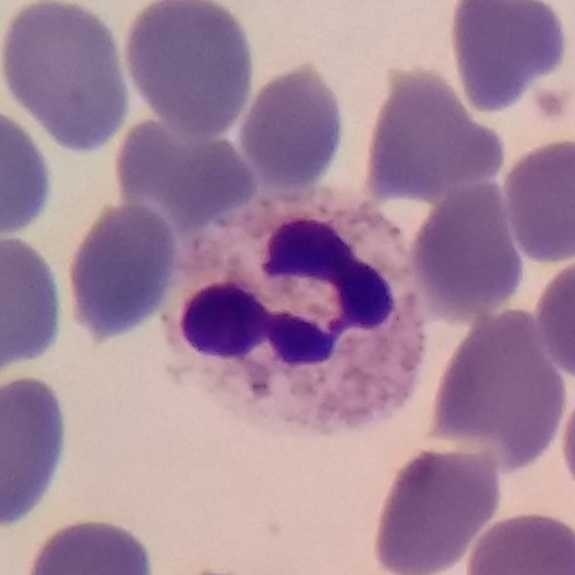 Cell type — neutrophil granulocyte.